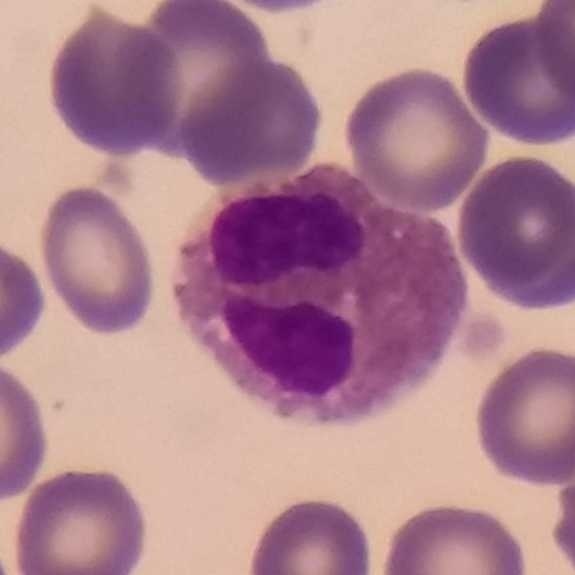 Q: What type of cell is this?
A: It is an eosinophilic granulocyte.

Image: Giemsa stain; peripheral blood smear; single white blood cell cropped from the smear photograph.